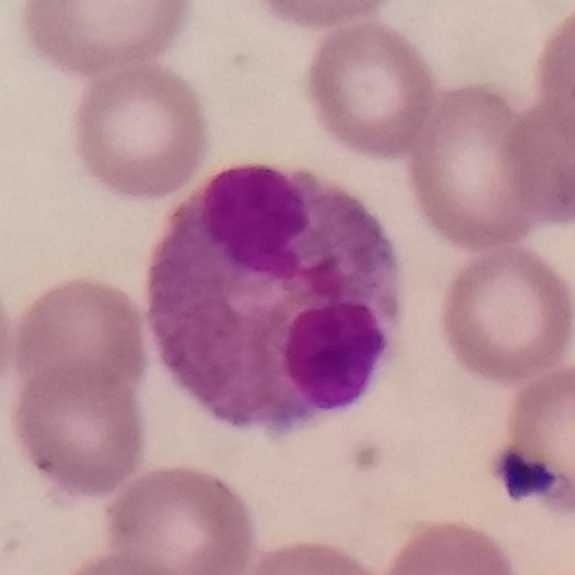
Q: Identify the cell.
A: This is an eosinophil.